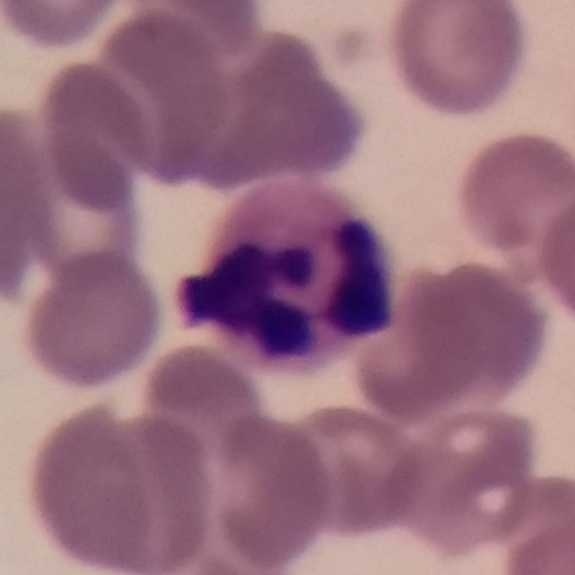
Impression — neutrophilic granulocyte.
Context: Single-cell field · peripheral blood film.